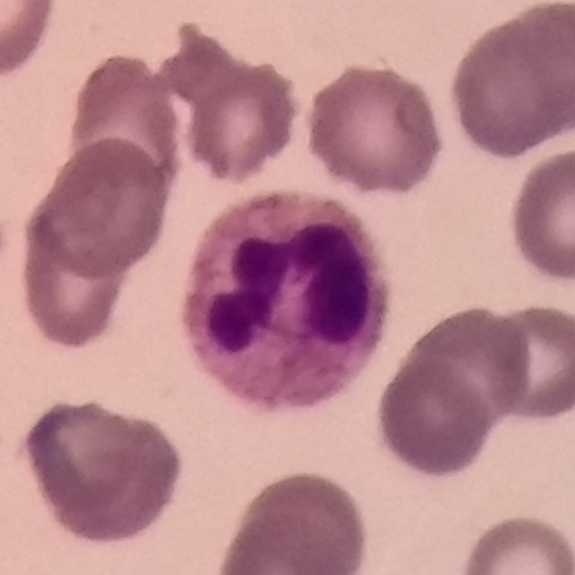The white blood cell type is neutrophil.

Image: Single-cell crop. Smartphone photomicrograph. Peripheral blood smear.